Peripheral blood film.
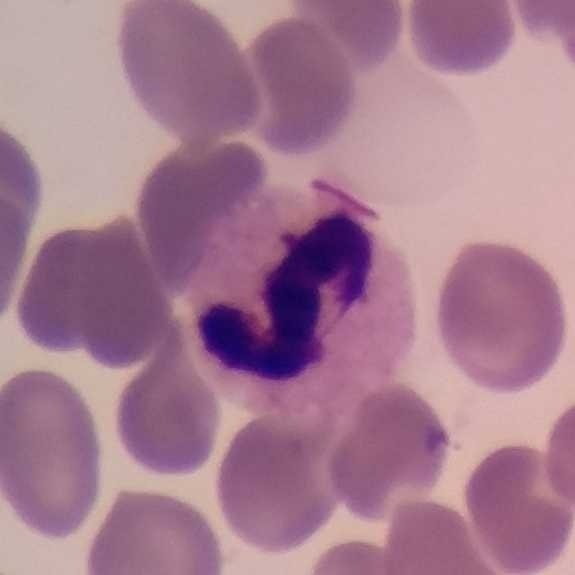 Neutrophil.